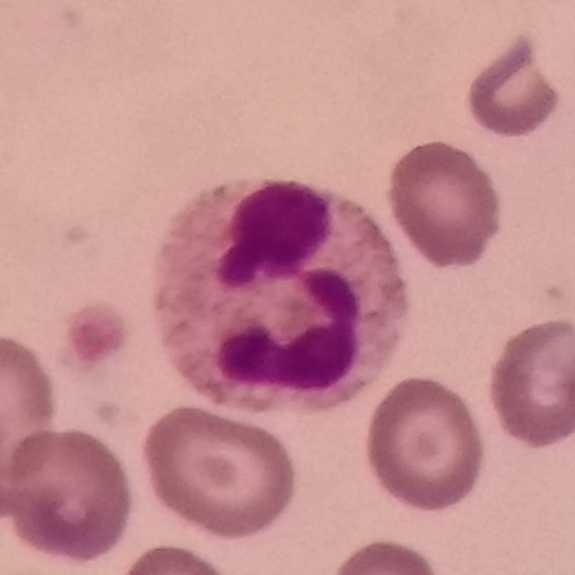Morphology consistent with a neutrophilic granulocyte.